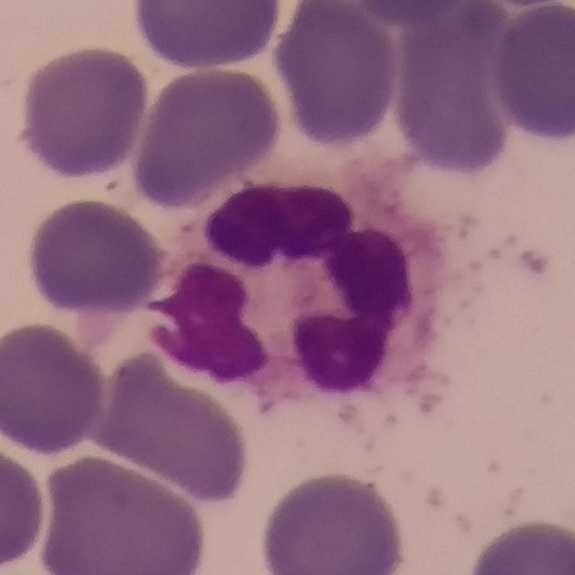 Smartphone camera mounted on the microscope eyepiece. 575 by 575 pixels. Peripheral blood smear.
Cell: neutrophilic granulocyte.